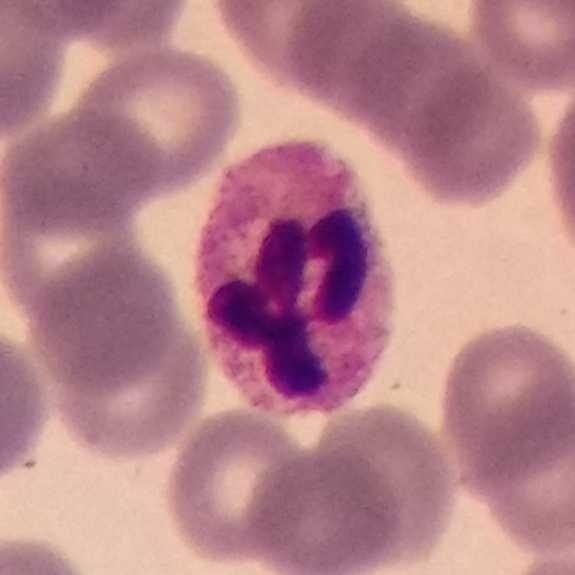
Specimen: peripheral blood film.
Morphological class: neutrophil.
Preparation: Single-cell crop · smartphone photomicrograph.